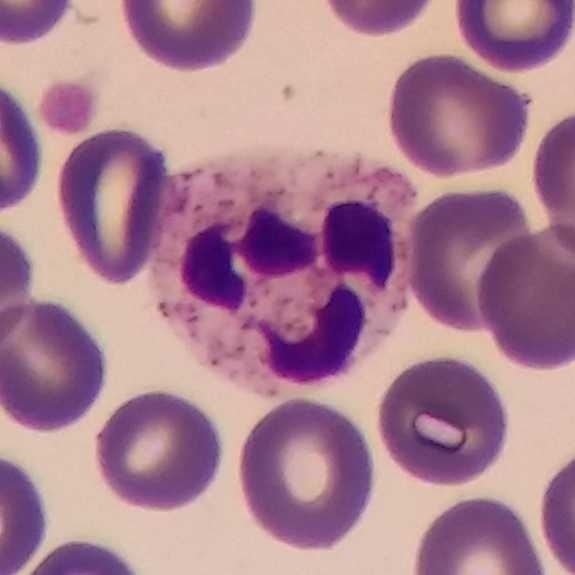

Acquisition: Single-cell crop. Peripheral blood film.

Single cell identified as a neutrophilic granulocyte.